Peripheral blood smear:
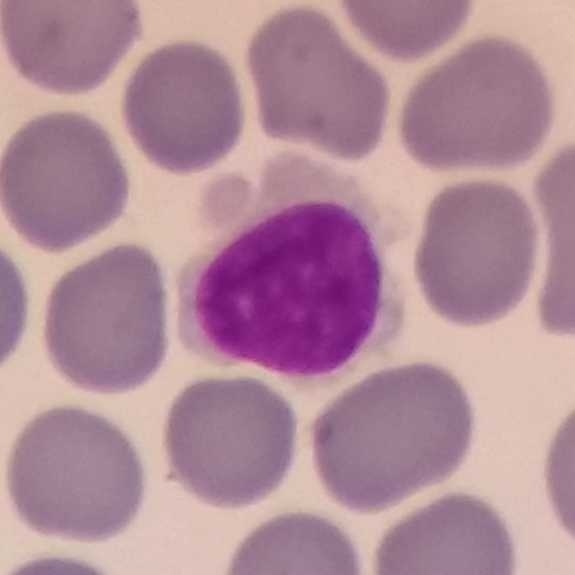Specimen: peripheral blood smear.
Cell: lymphocyte.
Lineage: lymphoid.